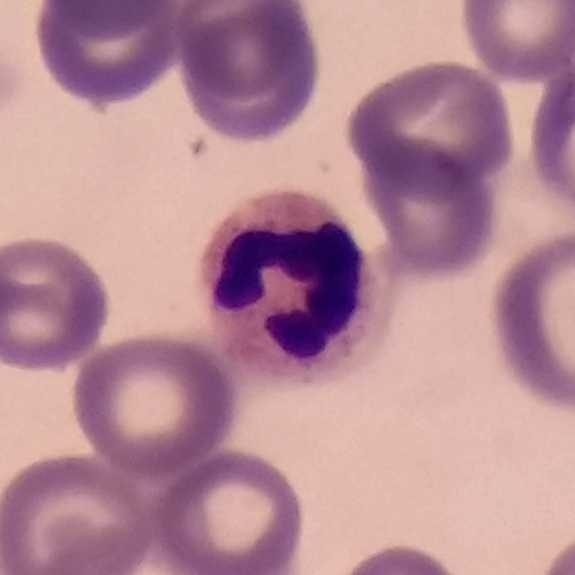
Morphological class: neutrophilic granulocyte.